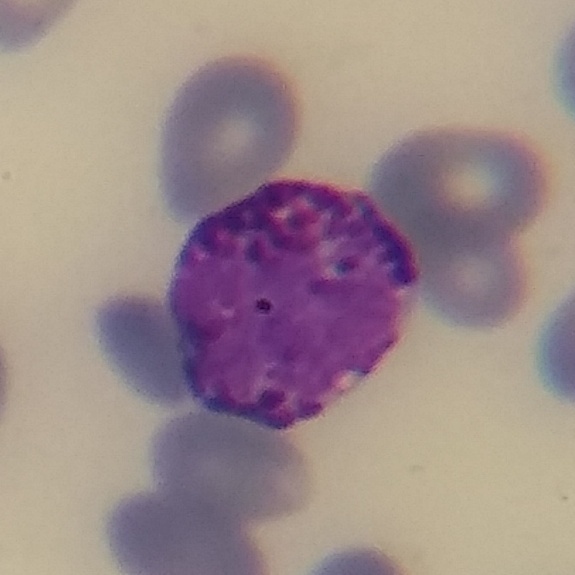Peripheral blood film.

Morphology consistent with a basophil.